Peripheral blood smear — 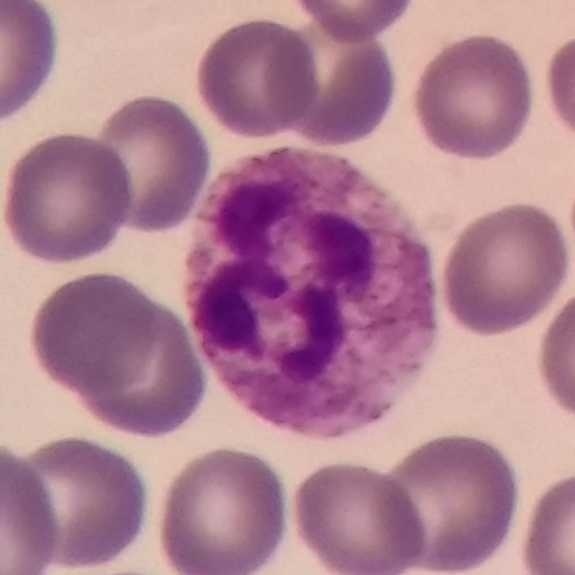 Cell = neutrophil.